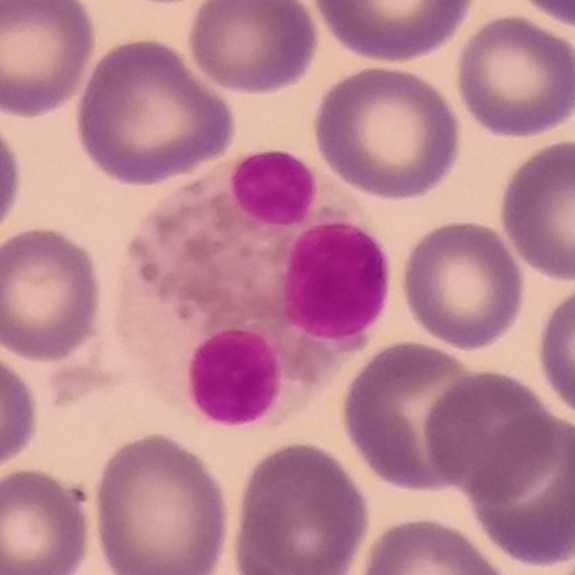

Context: Giemsa-stained; peripheral blood smear. The cell type is eosinophil.